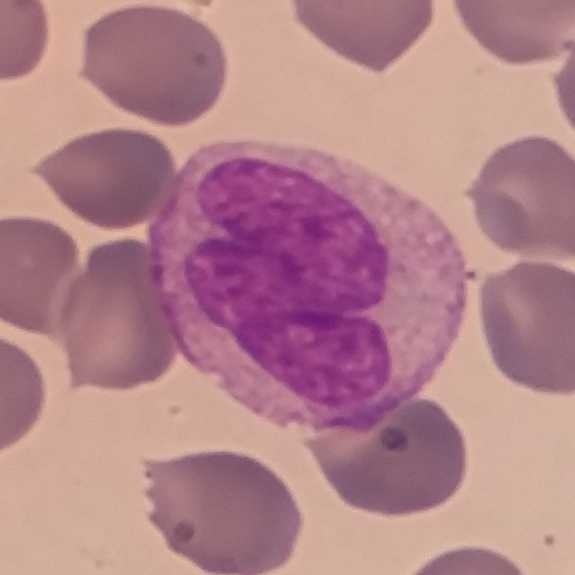 Impression → monocyte. Acquisition: 575×575; peripheral blood smear; stained with Giemsa.